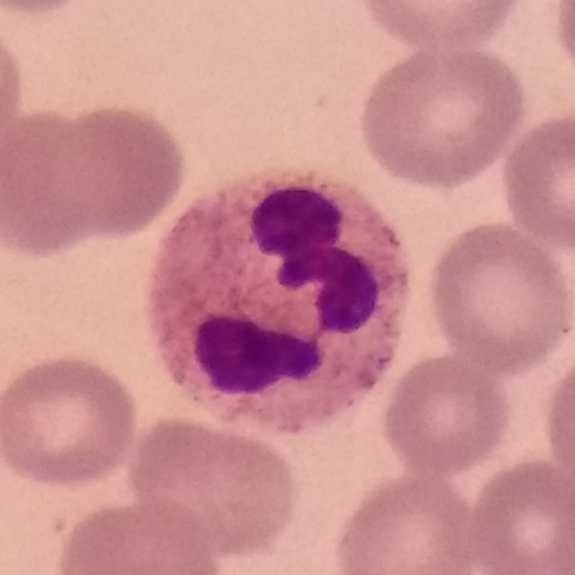

Peripheral blood film · stained with Giemsa · magnification 100×. Q: What is this?
A: A neutrophil.